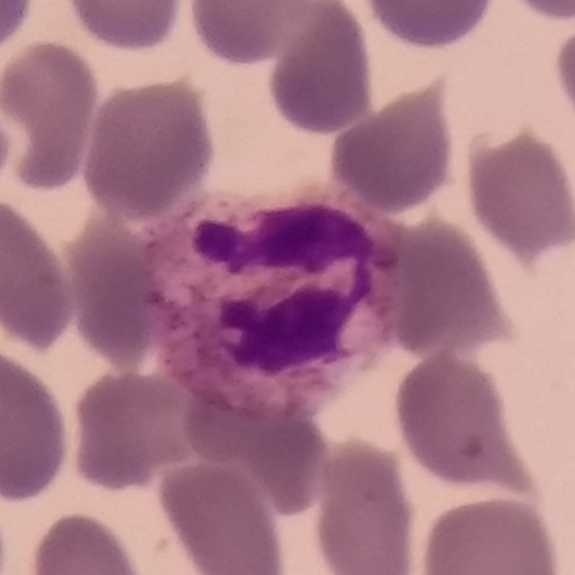
Specimen: peripheral blood smear.
White blood cell type: neutrophil granulocyte.